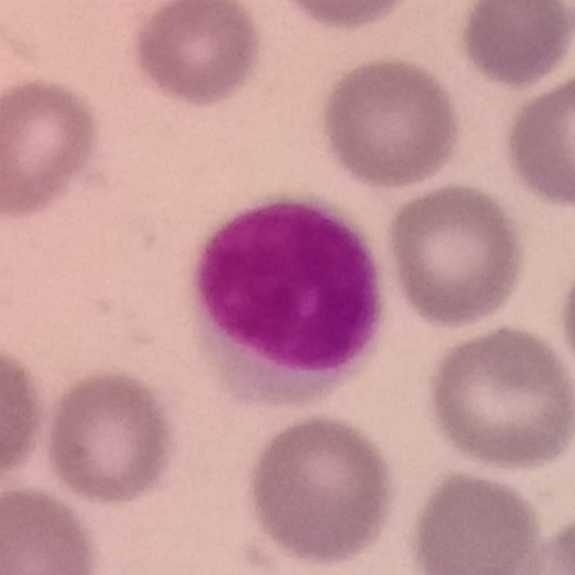Single cell identified as a lymphocyte.